Peripheral blood film · Giemsa stain
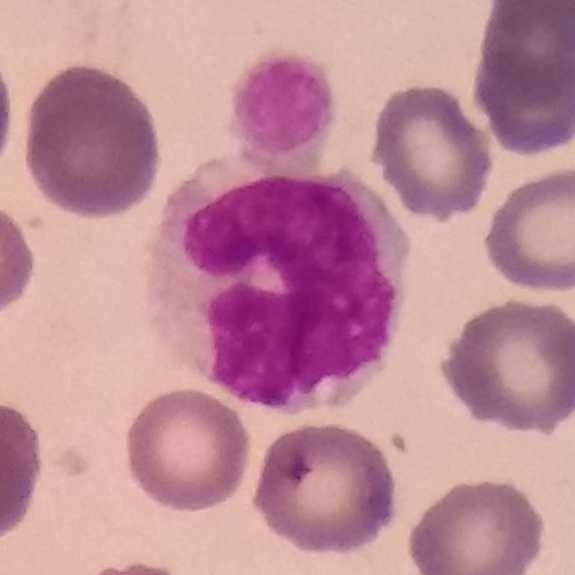
Cell type = monocyte.